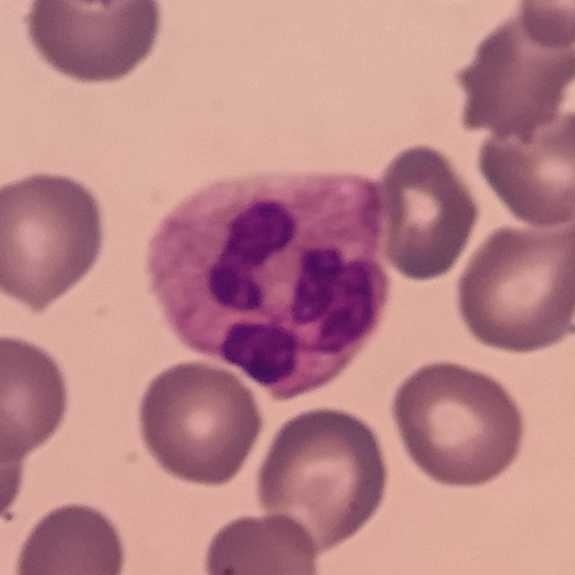 {"cell_type": "neutrophil"}